Peripheral blood film. Phone-camera image taken through the microscope ocular.
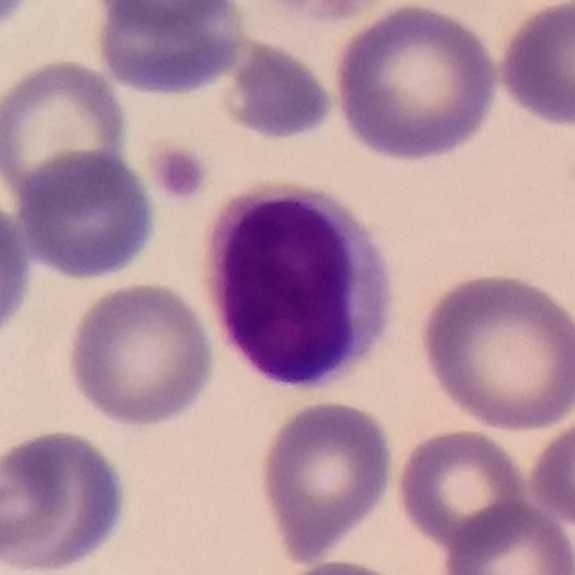
Single cell identified as a lymphocyte.